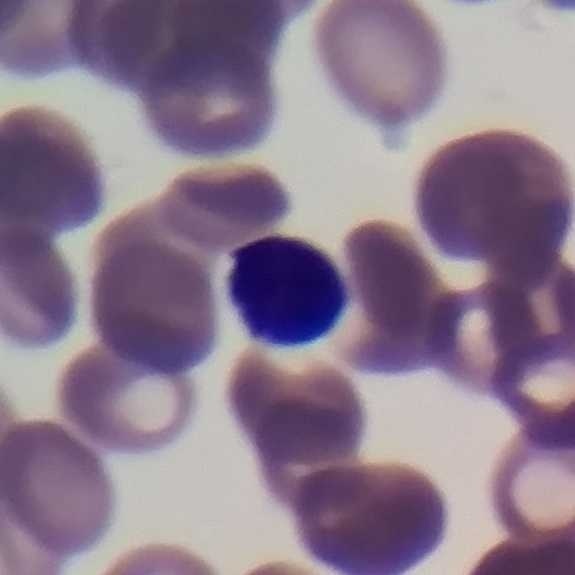 Specimen: peripheral blood film.
Cell type: lymphocyte.